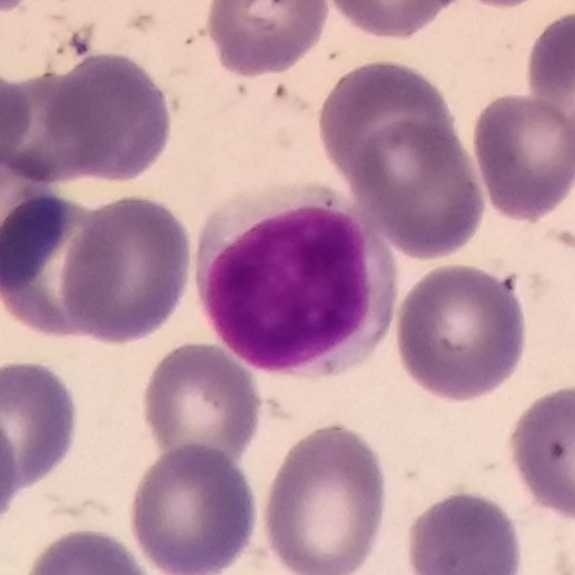

White blood cell type = lymphocyte.
Preparation: Photographed through a light microscope with a smartphone camera · peripheral blood film.